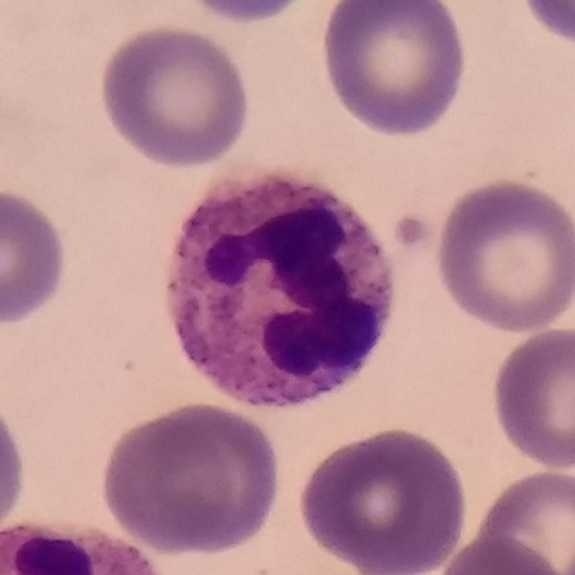
Cropped to one leukocyte · peripheral blood smear. Morphology — neutrophil granulocyte.